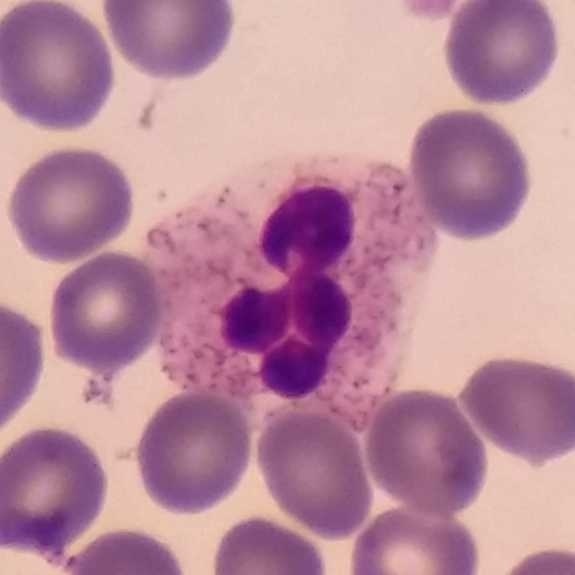
Preparation: Peripheral blood smear; photographed through a light microscope with a smartphone camera; 575×575 px. Q: Identify the cell.
A: Neutrophil granulocyte.